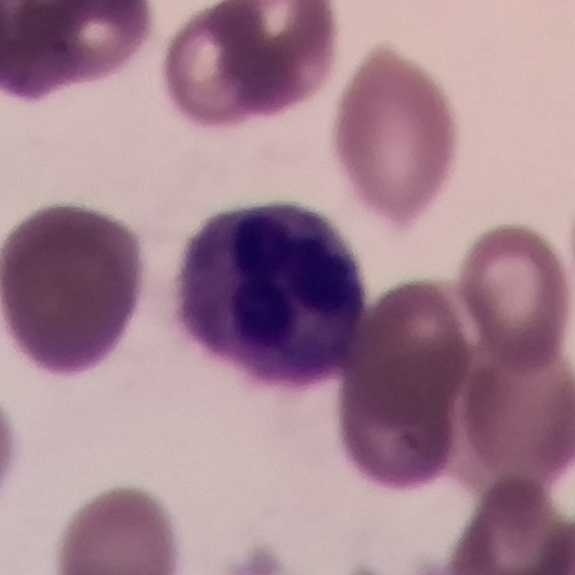

Classification — eosinophil.